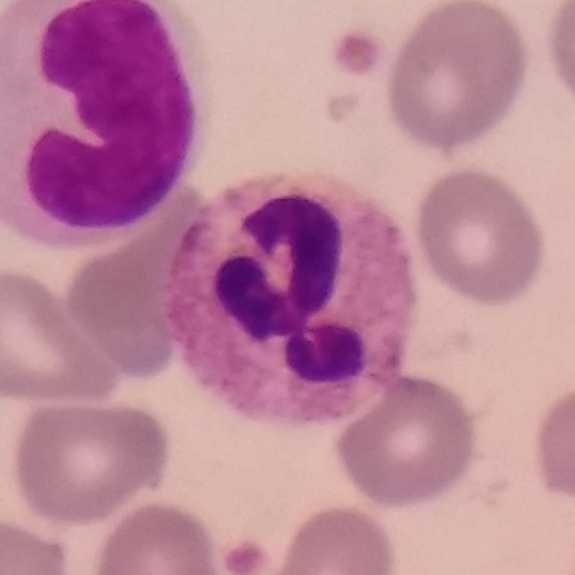
Showing a neutrophil.
Image: 575×575 px; peripheral blood film.